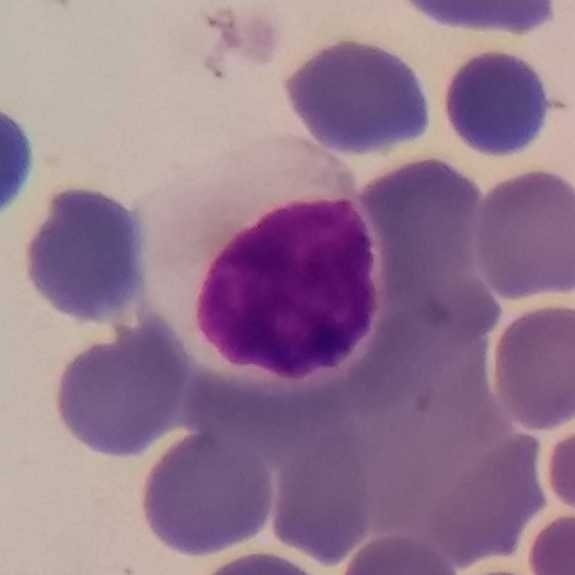Q: Identify the cell.
A: Lymphocyte. Acquisition: Smartphone camera mounted on the microscope eyepiece. Peripheral blood film.